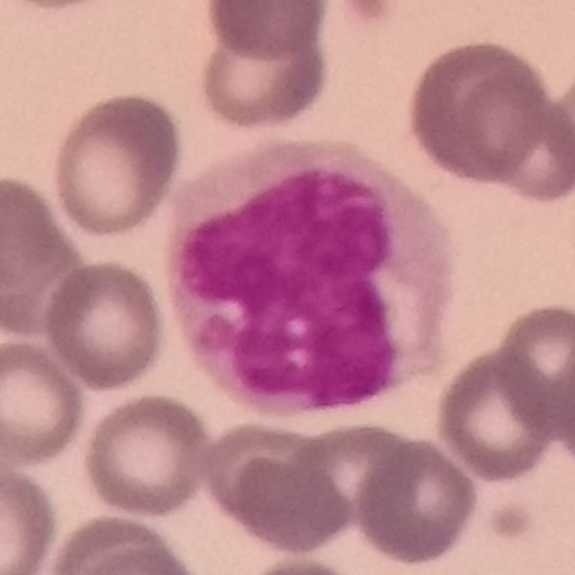
Image: Single-cell crop · peripheral blood film · 575×575.

Monocyte.